Imaged at 100×; peripheral blood smear — 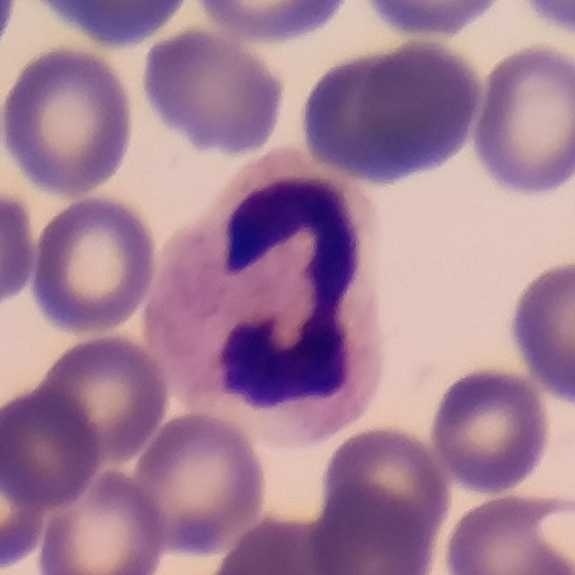

Impression — neutrophilic granulocyte.